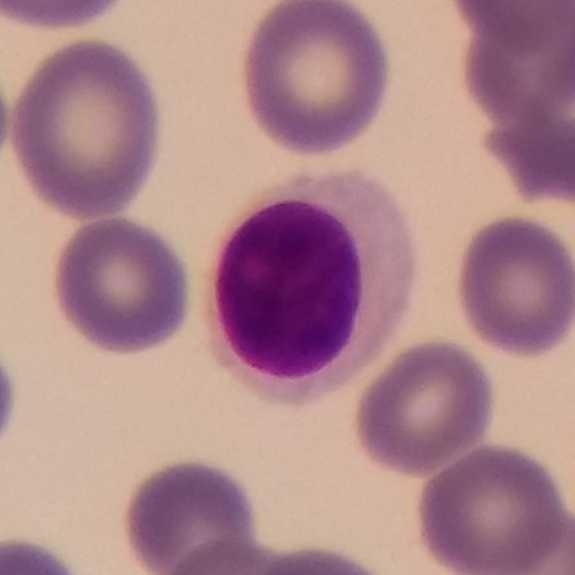Morphology → lymphocyte.